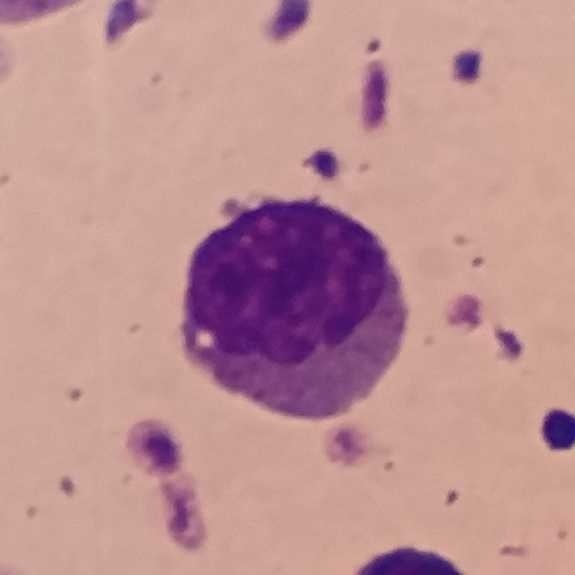Peripheral blood film.

Lymphocyte.